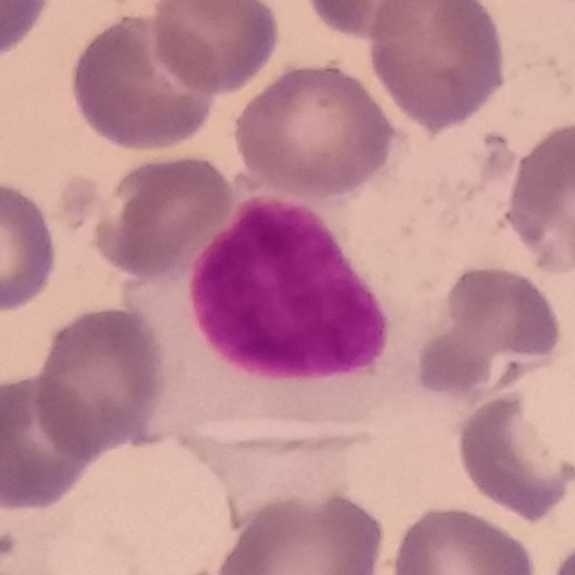

White blood cell type — lymphocyte.
Peripheral blood film. Giemsa-stained.